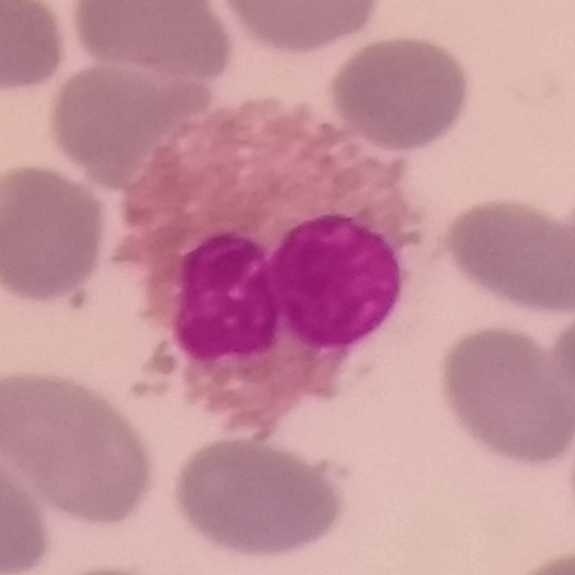

Cell type = eosinophilic granulocyte.